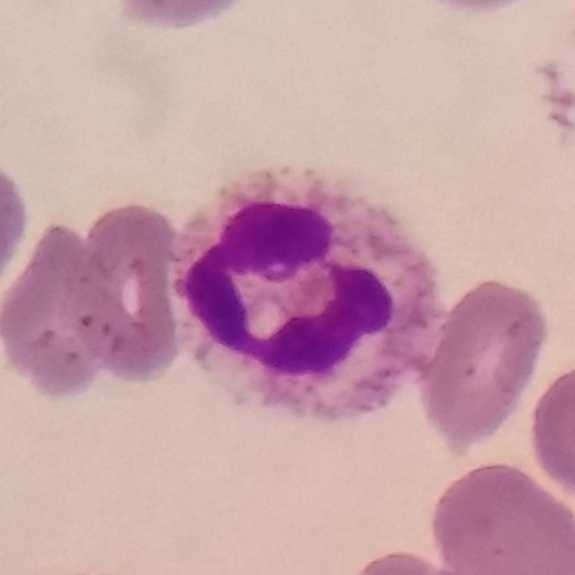

Preparation: Photographed through a light microscope with a smartphone camera; peripheral blood film.

Q: Identify the cell.
A: A neutrophil granulocyte.